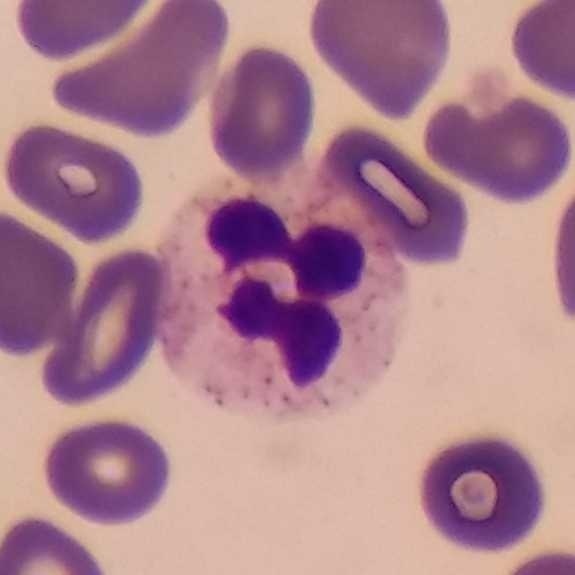
Context: Peripheral blood smear · smartphone camera mounted on the microscope eyepiece.

Cell: neutrophil.